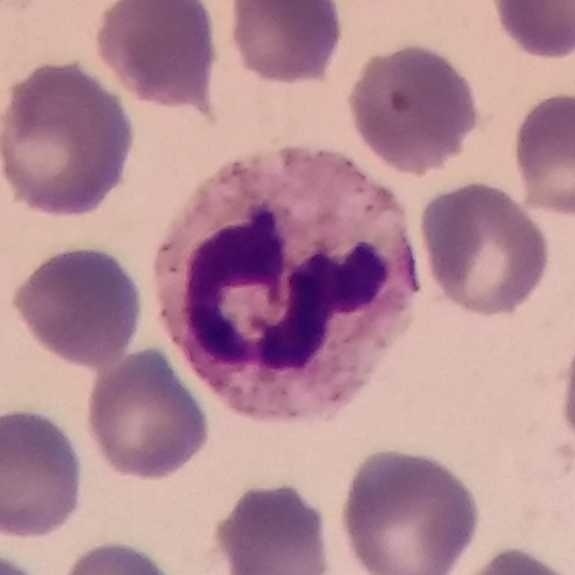
Specimen: peripheral blood film.
Cell type: neutrophilic granulocyte.